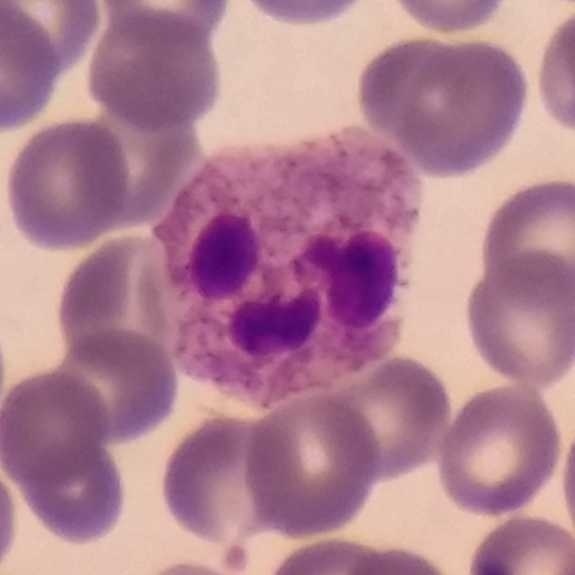Single cell identified as a neutrophil granulocyte.
Image: Peripheral blood film.